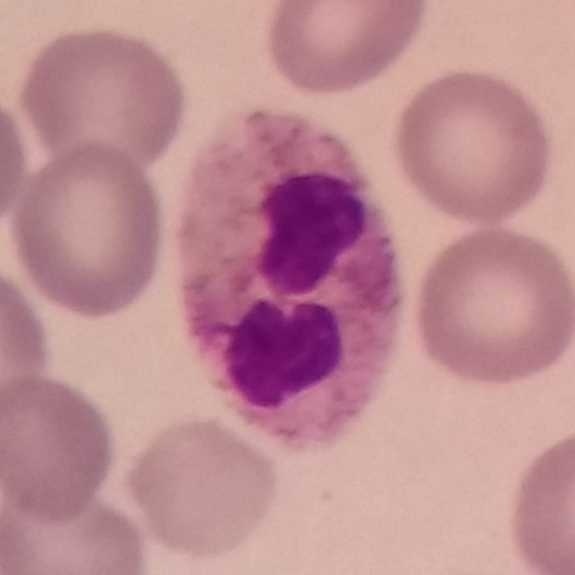Morphological class — neutrophilic granulocyte. Peripheral blood smear. 100× magnification.